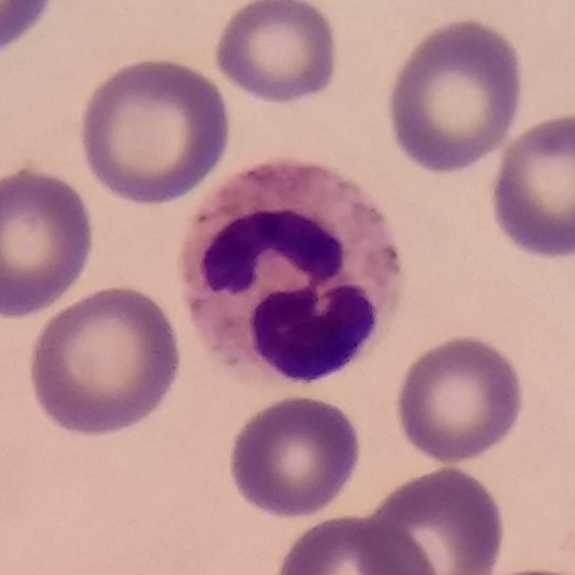

Image: Peripheral blood film; Giemsa-stained.

Neutrophilic granulocyte.